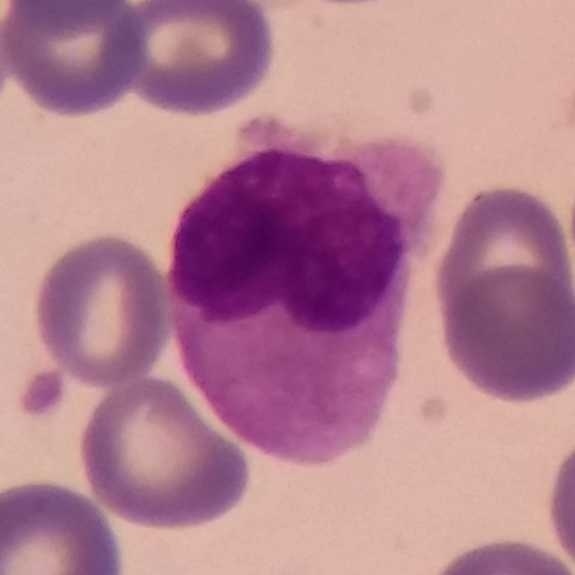

The cell is monocyte.